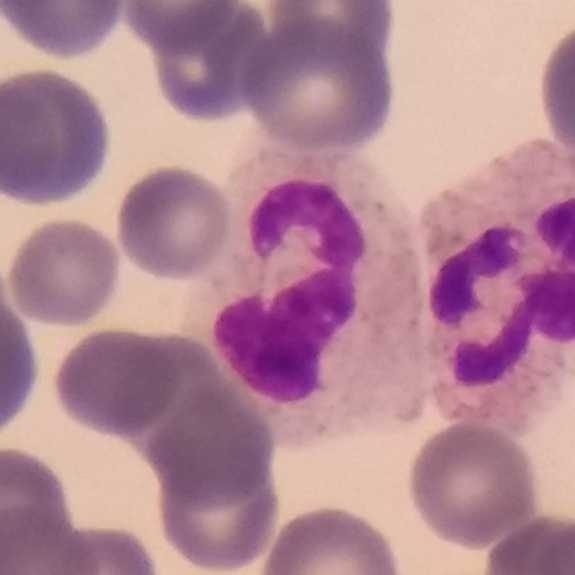 Peripheral blood film, single cell — neutrophil.